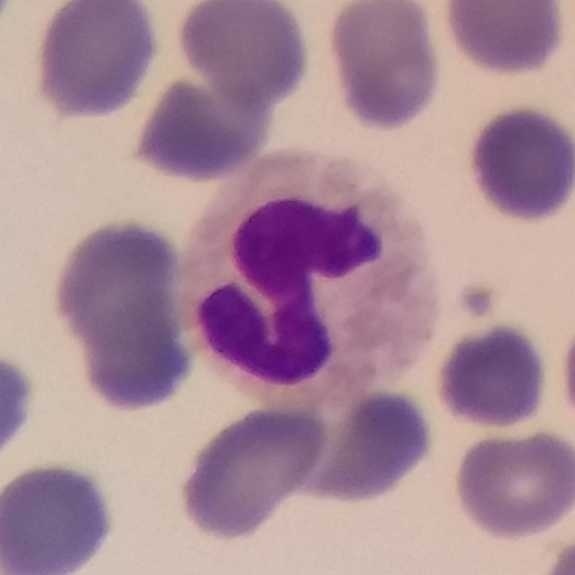

A neutrophilic granulocyte.